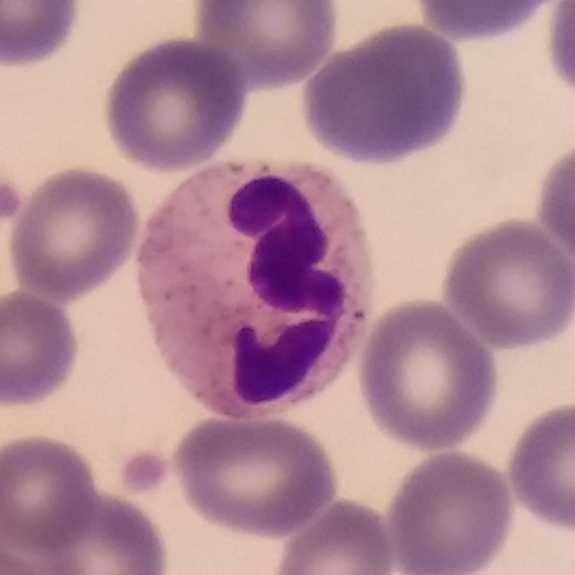
Acquisition: 100× magnification.
Specimen: peripheral blood film.
Morphological class: neutrophilic granulocyte.